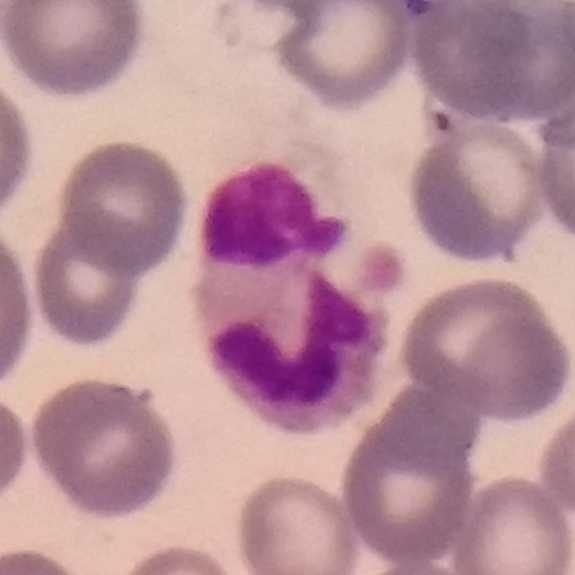 Cell type: neutrophilic granulocyte.